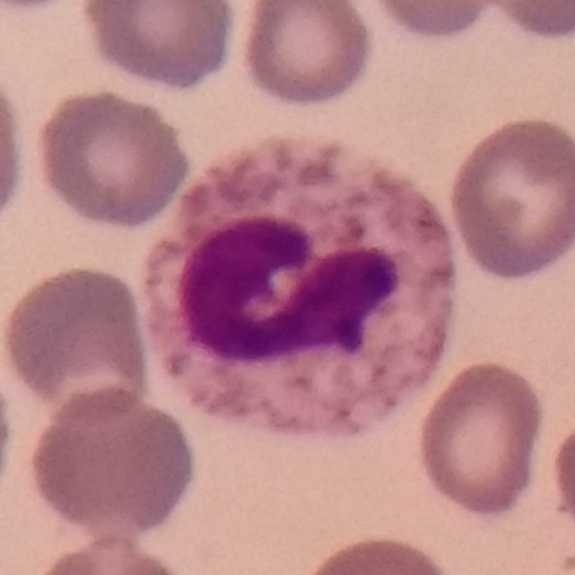 Peripheral blood smear.
The cell shown is a neutrophilic granulocyte.